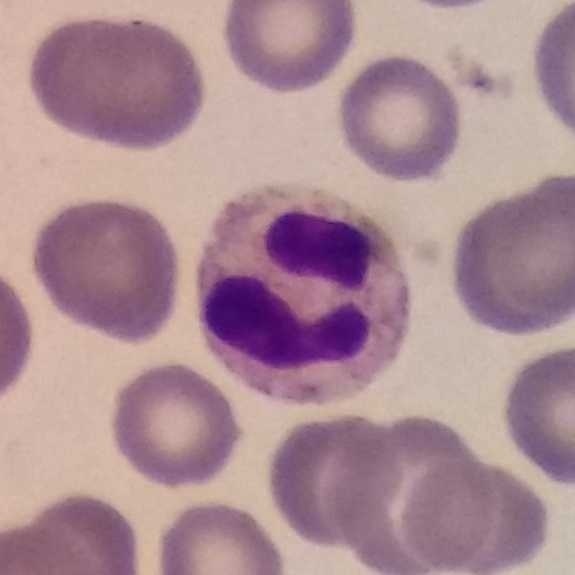
Context: Giemsa-stained. Peripheral blood smear.
The classification is neutrophil granulocyte.